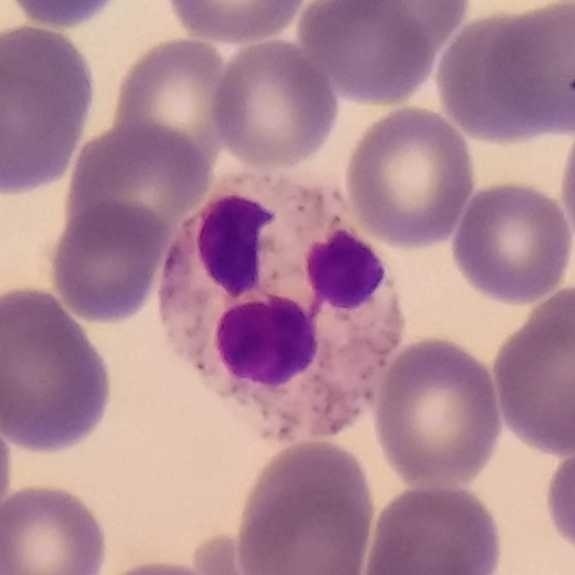
Impression — neutrophilic granulocyte.